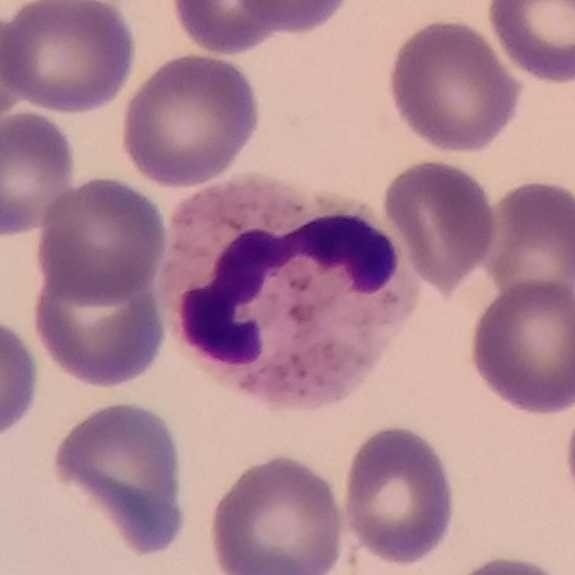 Specimen: peripheral blood smear.
White blood cell type: neutrophil.
Lineage: myeloid.

Image: 100× magnification. Cropped to one leukocyte.